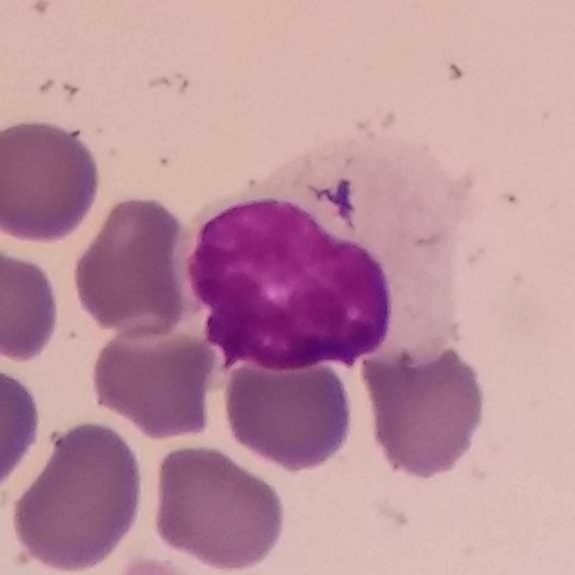 Cell type: lymphocyte.

Peripheral blood smear. Stained with Giemsa.